Peripheral blood film · phone-camera image taken through the microscope ocular.
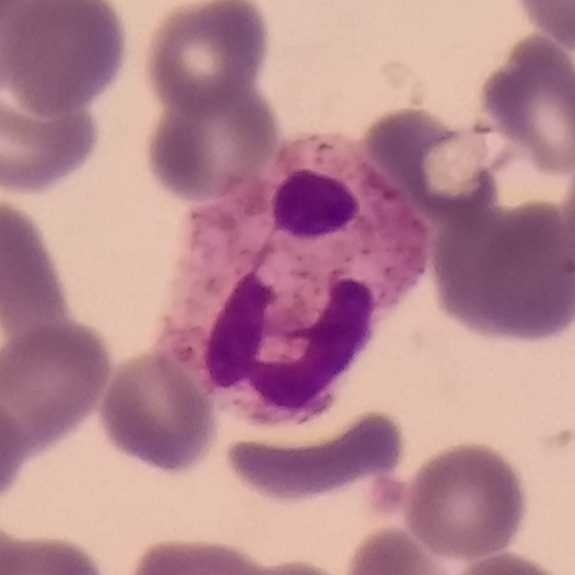
Impression → neutrophilic granulocyte.